Magnification 100×; peripheral blood film
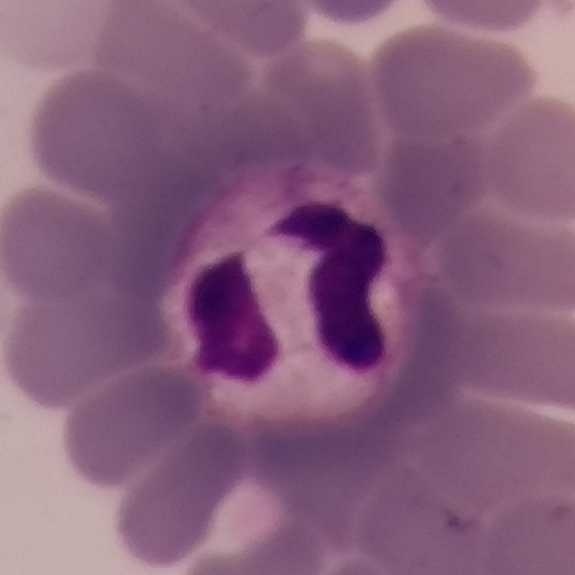 Impression → neutrophilic granulocyte.